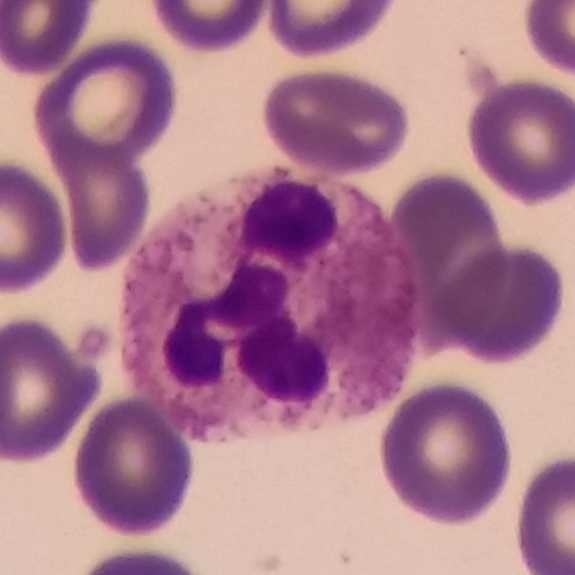

Morphology consistent with a neutrophil granulocyte.